Peripheral blood film; 575×575
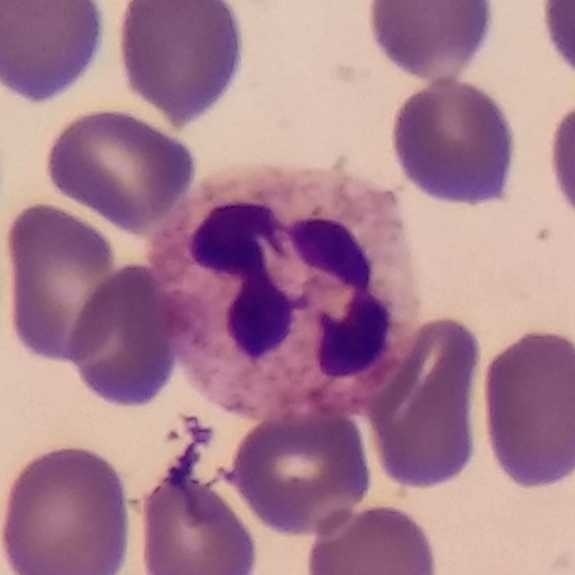Impression — neutrophil granulocyte.